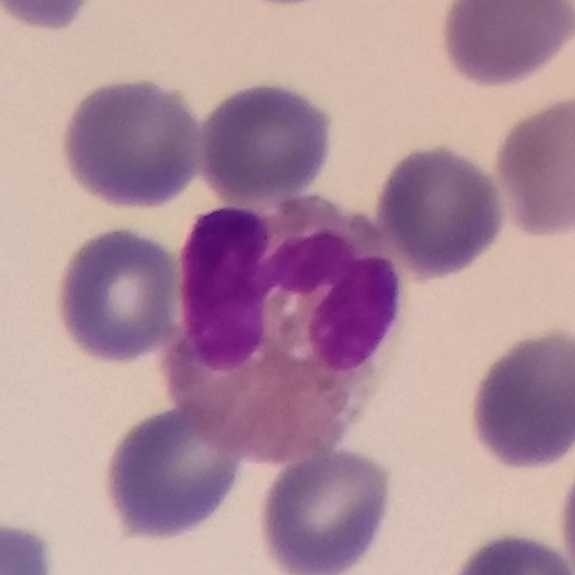
Q: Classify this leukocyte.
A: It is an eosinophil.

Preparation: Image size 575×575 · peripheral blood smear.